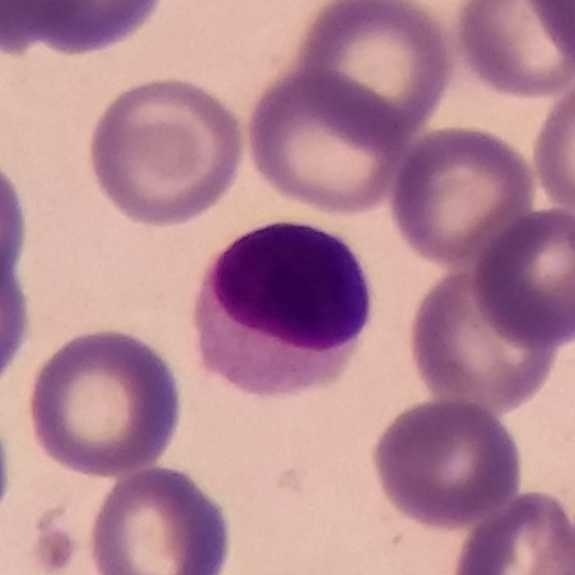Impression → lymphocyte. Image: Peripheral blood film · magnification 100× · single-cell field.